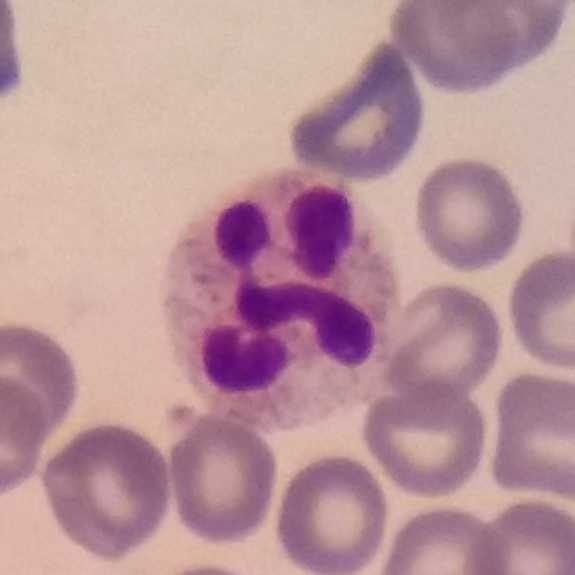This is a neutrophilic granulocyte.